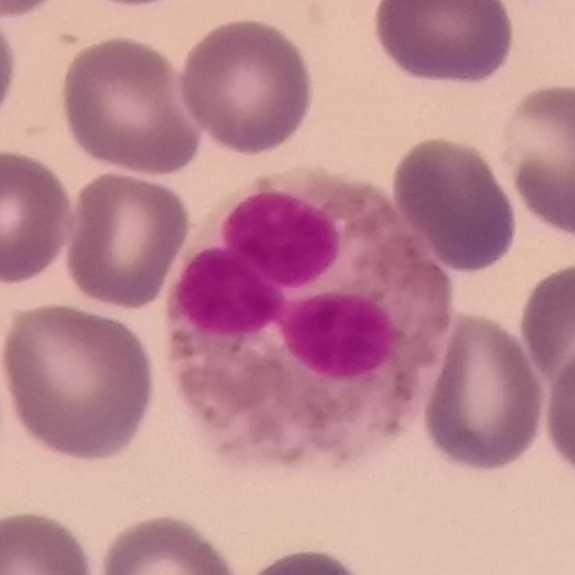

The white blood cell in this image is an eosinophilic granulocyte.